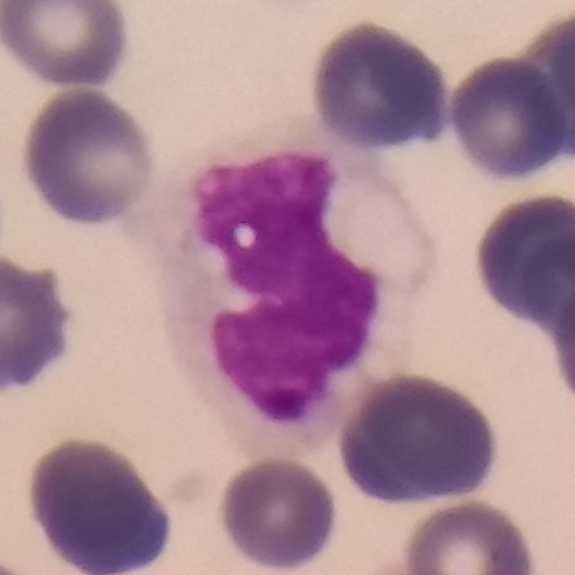 Q: What cell is this?
A: This is a monocyte.